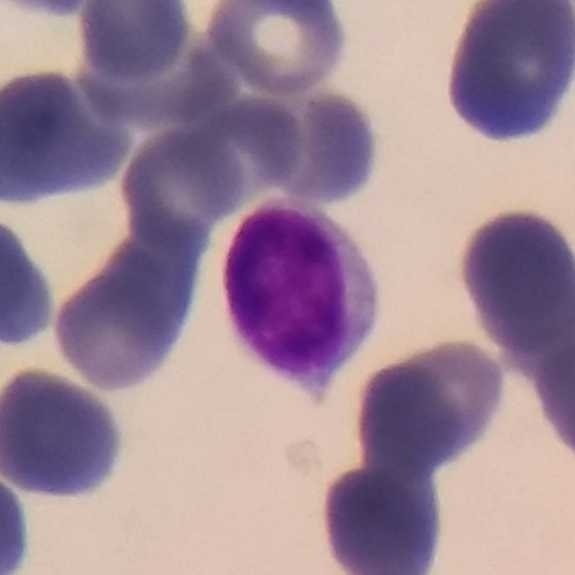 Specimen: peripheral blood smear.
Cell: lymphocyte.
Lineage: lymphoid. Image: Stained with Giemsa; image size 575×575.